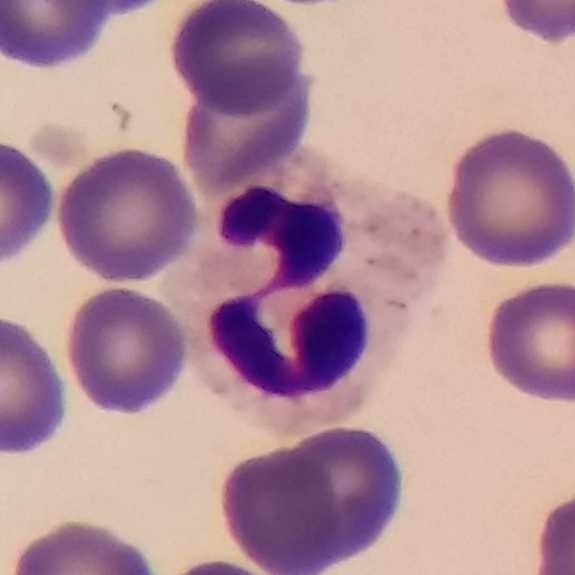A neutrophilic granulocyte.